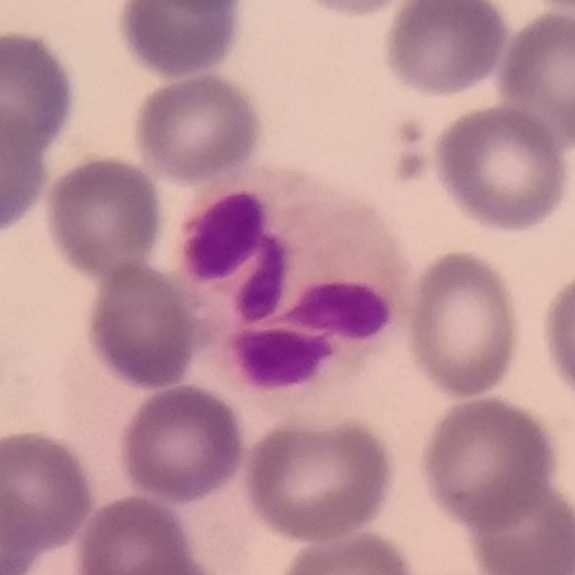
Morphology consistent with a neutrophil.

Context: Peripheral blood smear.